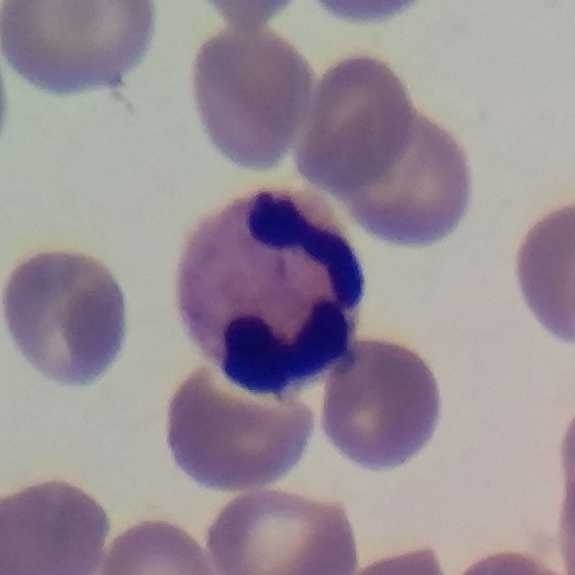
The white blood cell in this image is a neutrophil granulocyte.